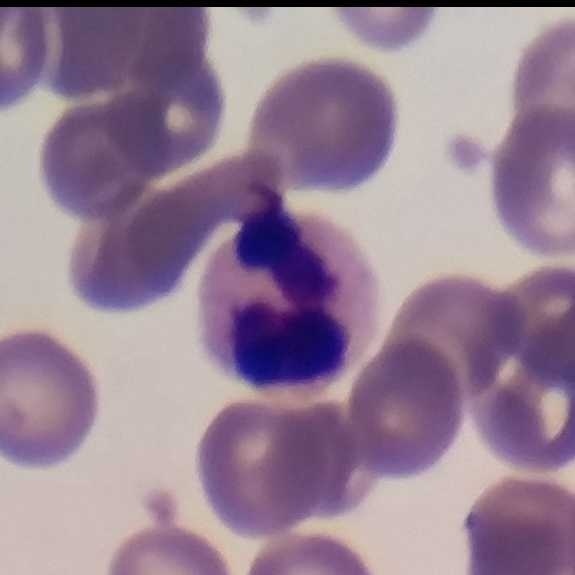 Specimen: peripheral blood smear.
Cell: neutrophilic granulocyte.